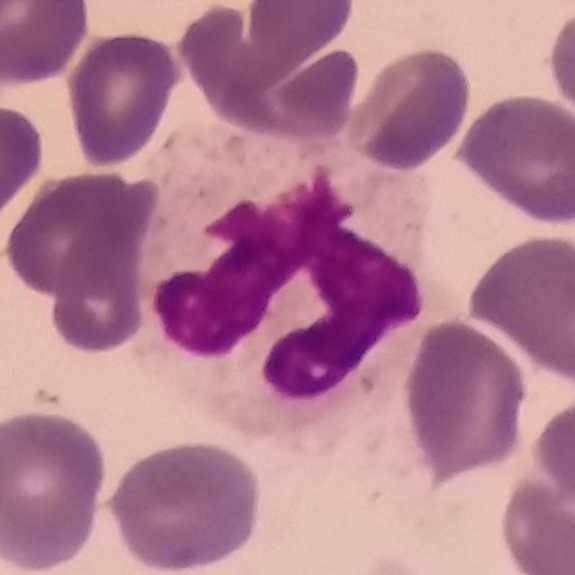

{"cell_type": "neutrophil granulocyte", "lineage": "myeloid"}
Acquisition: Peripheral blood film.